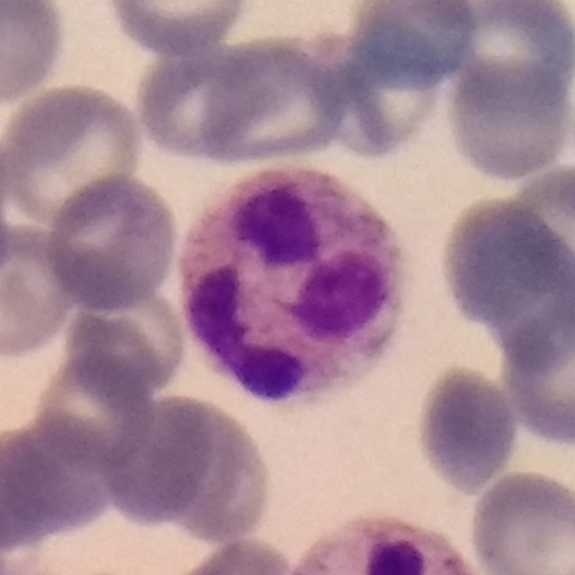Image: Peripheral blood smear. This is a neutrophil.